Smartphone photomicrograph · peripheral blood film — 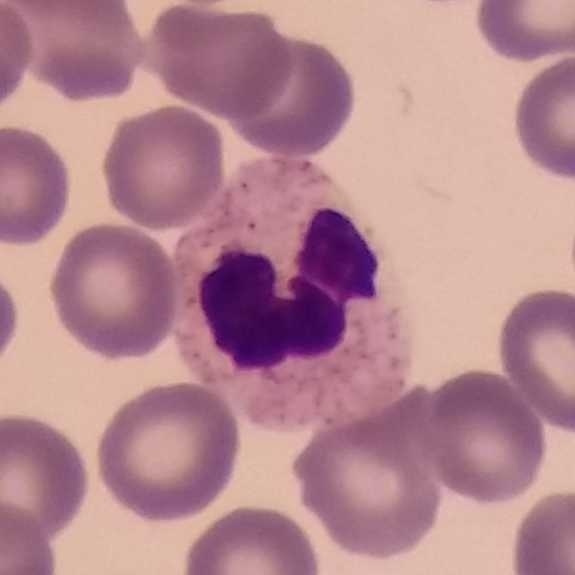 The morphological class is neutrophilic granulocyte.